Peripheral blood smear · photographed through a light microscope with a smartphone camera.
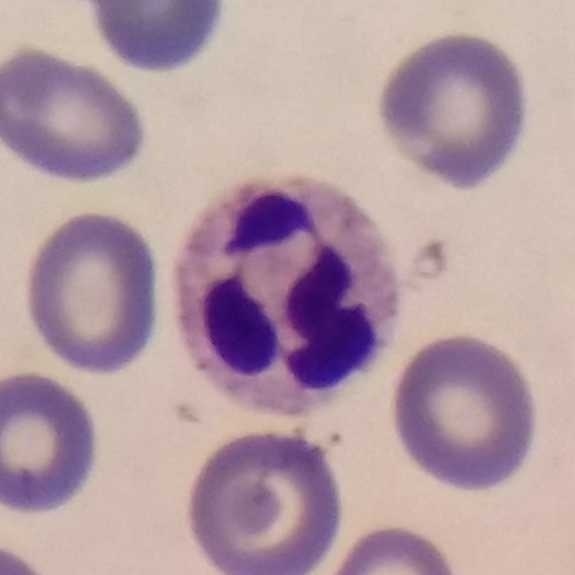
{"cell_type": "neutrophil", "lineage": "myeloid"}